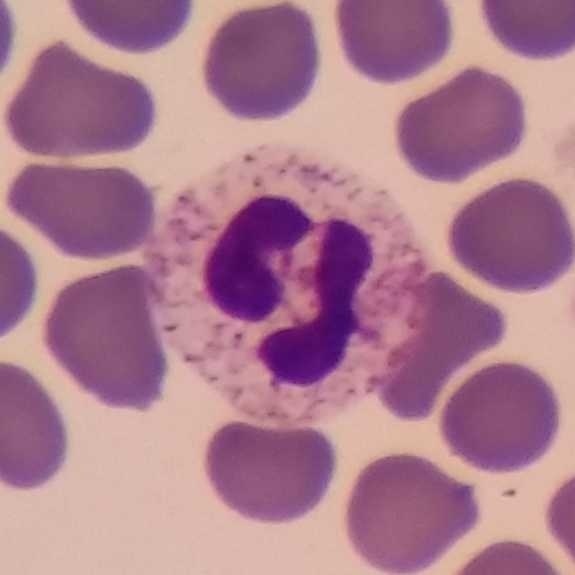
Morphology → neutrophilic granulocyte.

Peripheral blood film.